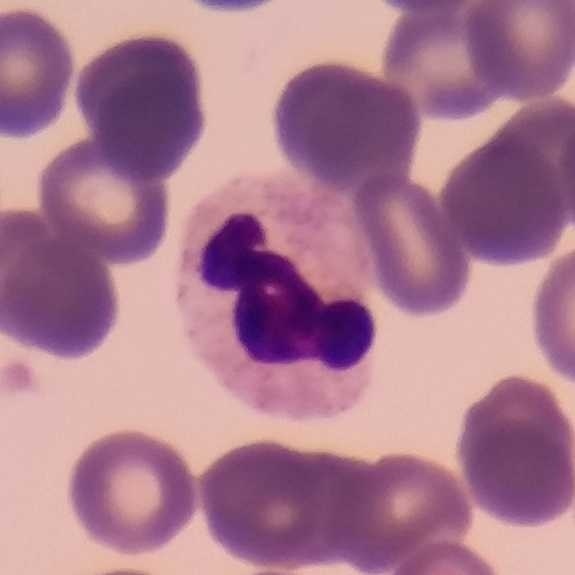Cropped to one leukocyte; peripheral blood film; image size 575×575. Q: What is the morphological classification of this cell?
A: This is a neutrophil granulocyte.